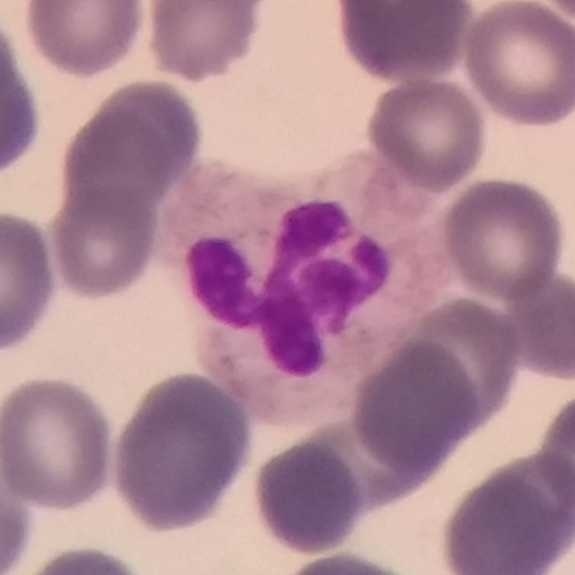
Preparation: Peripheral blood smear. Neutrophil granulocyte.